Peripheral blood smear; single-cell field
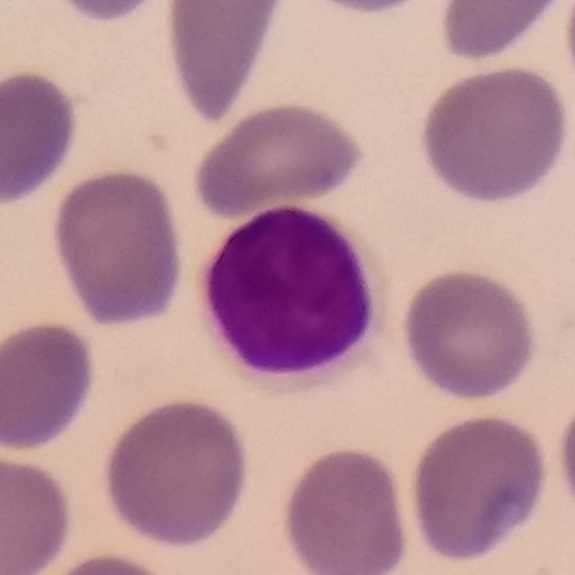 The white blood cell in this image is a lymphocyte.